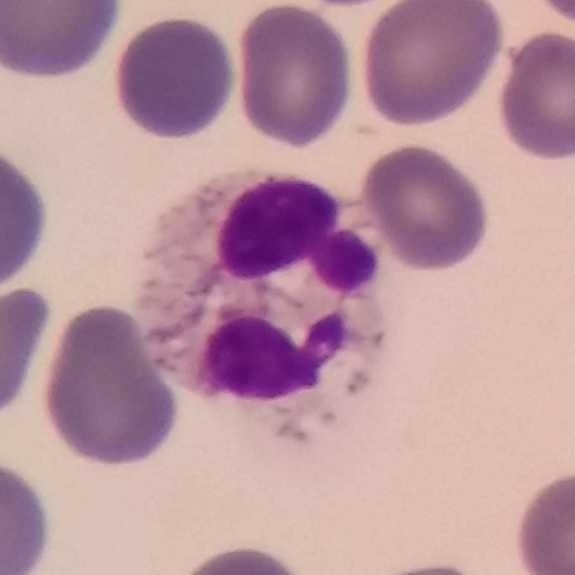
White blood cell type: neutrophil.